Phone-camera image taken through the microscope ocular. Peripheral blood film:
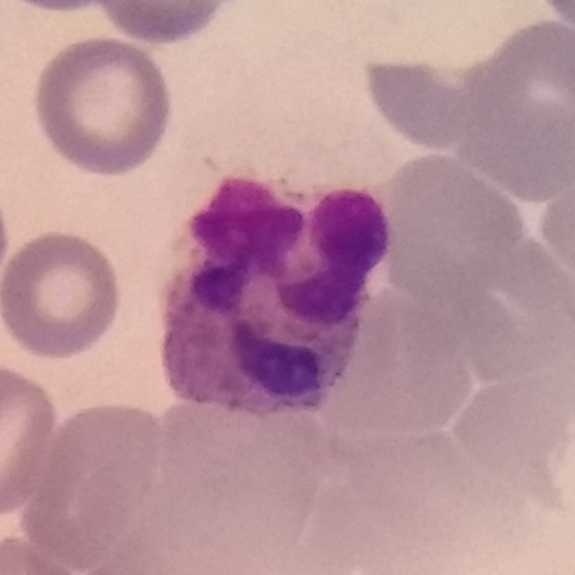 Q: Which cell type is shown here?
A: Neutrophil.